Phone-camera image taken through the microscope ocular. Peripheral blood smear.
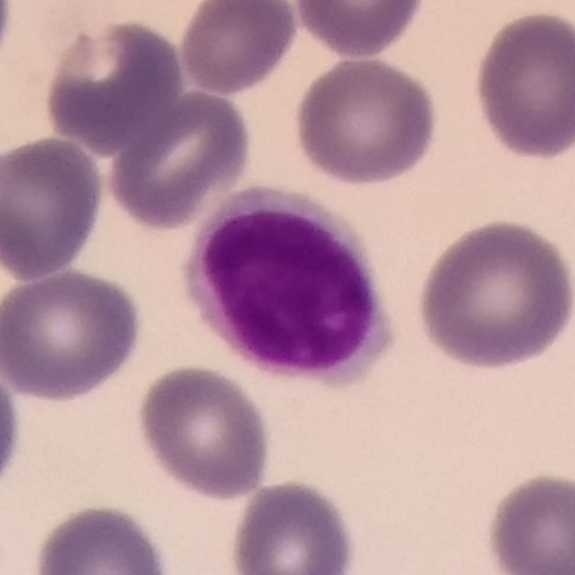Q: Which cell type is shown here?
A: It is a lymphocyte.